Peripheral blood smear. Magnification 100×.
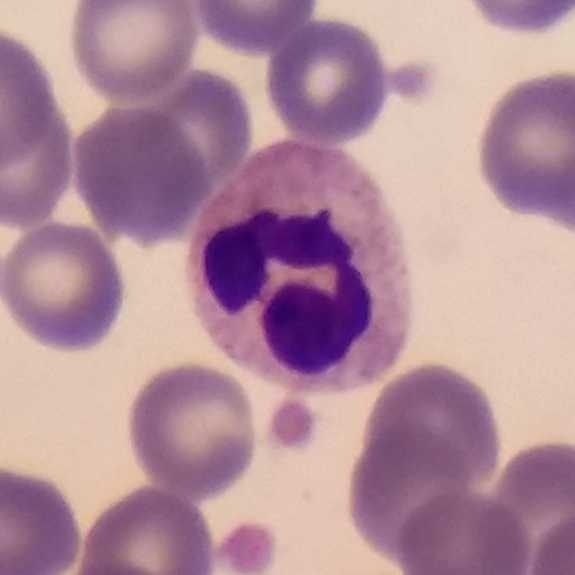 Morphology consistent with a neutrophil granulocyte.